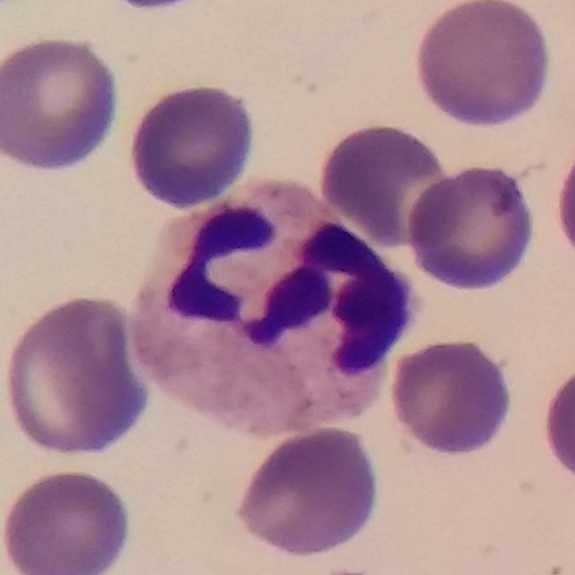A neutrophilic granulocyte. Peripheral blood film; Giemsa-stained.